100× magnification. Peripheral blood smear — 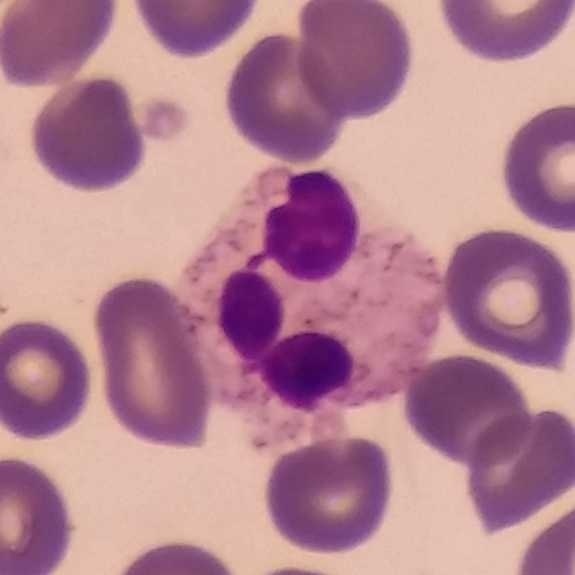
Cell type: neutrophil.